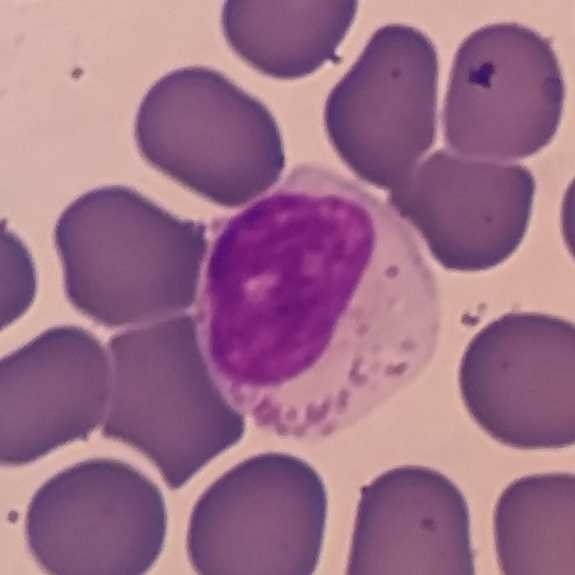
Peripheral blood film.

Showing a lymphocyte.